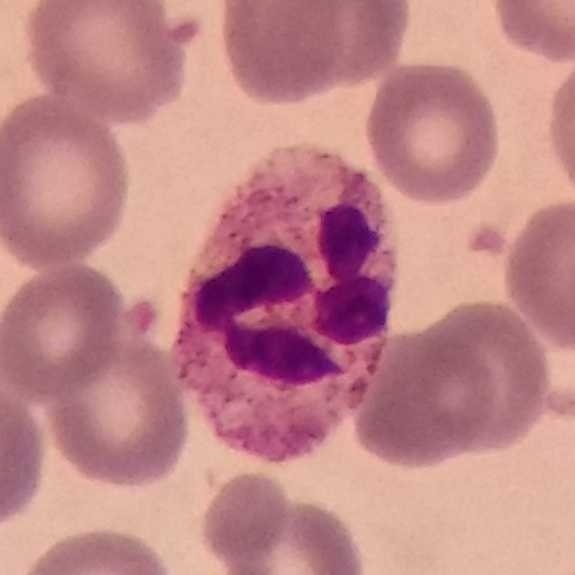
Specimen: peripheral blood smear.
Cell type: neutrophil.
Lineage: myeloid.